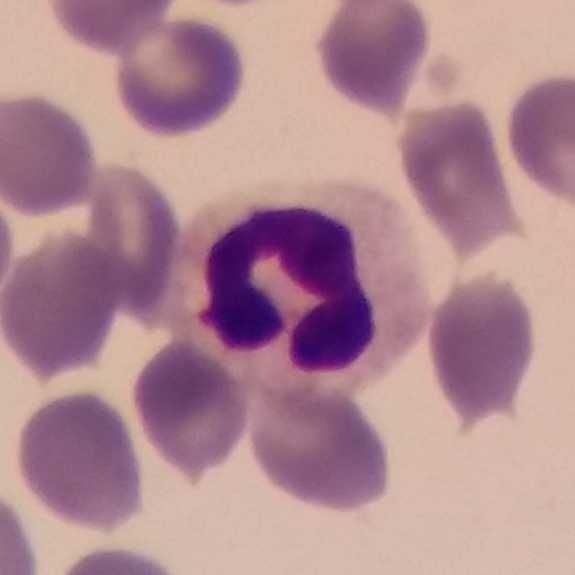 Acquisition: Phone-camera image taken through the microscope ocular; peripheral blood film.

White blood cell type: neutrophilic granulocyte.